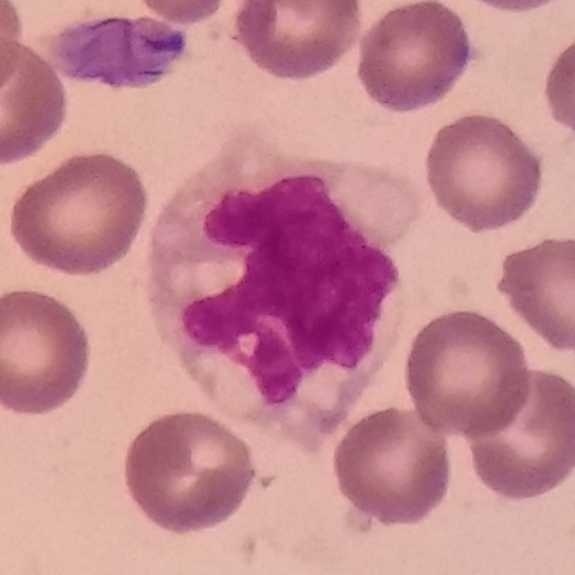This is a monocyte.

Peripheral blood film.